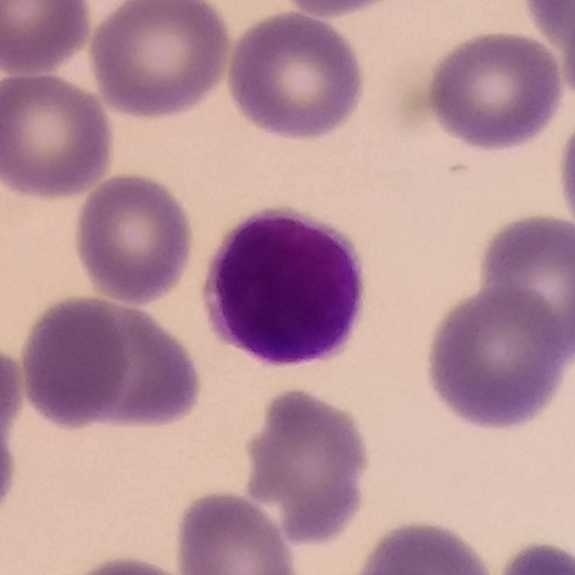 Morphology → lymphocyte. Context: Peripheral blood smear.